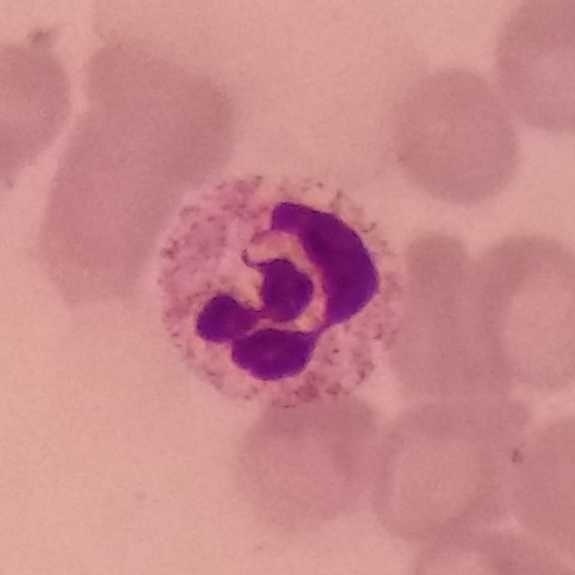
The cell type is neutrophilic granulocyte.